Peripheral blood smear · photographed through a light microscope with a smartphone camera: 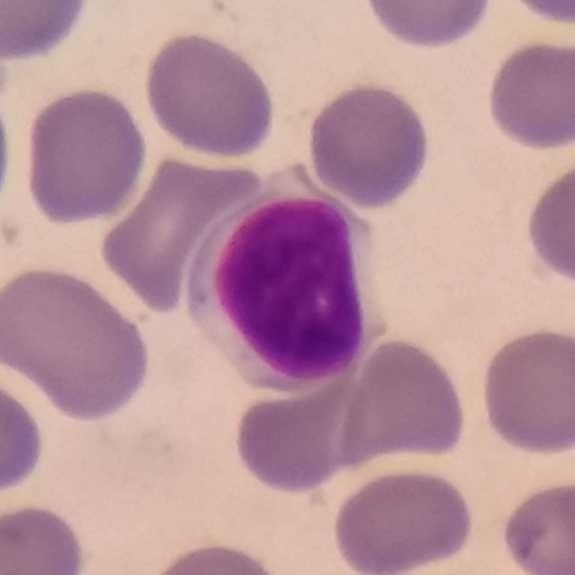 Impression — lymphocyte.